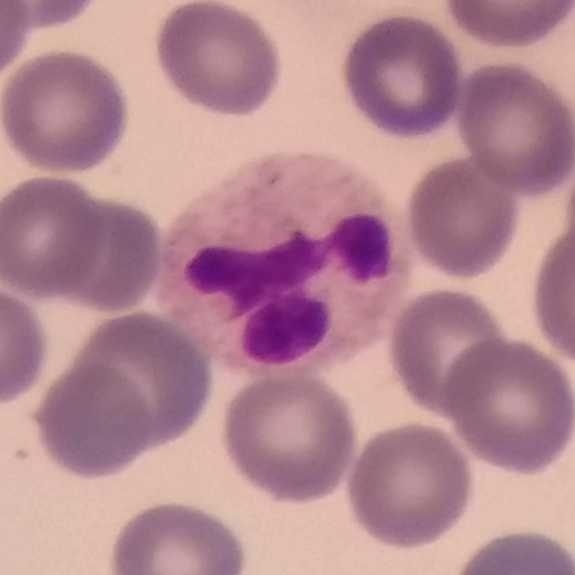

Preparation: Peripheral blood smear · image size 575×575.
The white blood cell type is neutrophil.